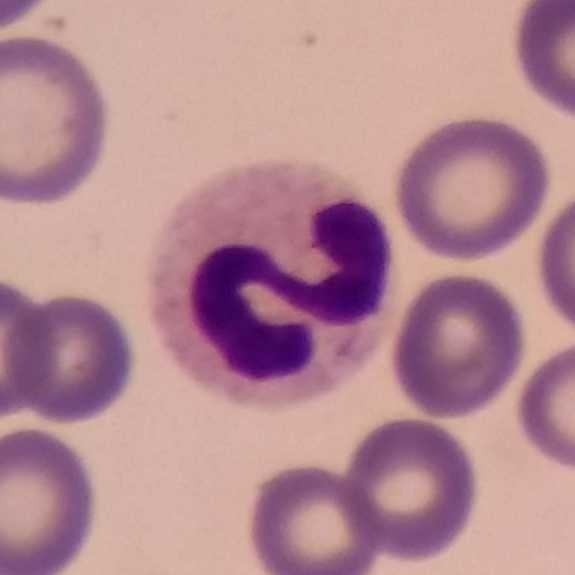
This is a neutrophil granulocyte. Preparation: Peripheral blood film.